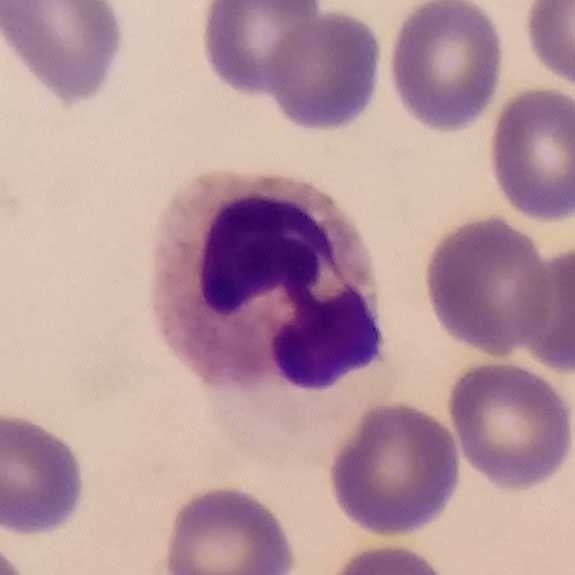Q: Which cell type is shown here?
A: It is a neutrophilic granulocyte.